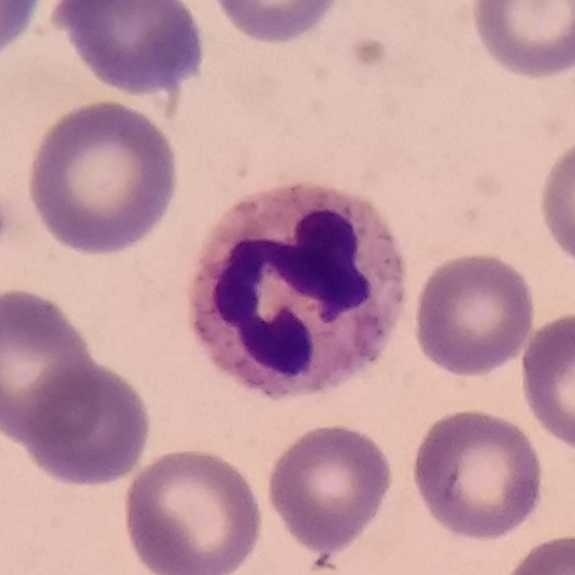 The cell shown is a neutrophilic granulocyte.